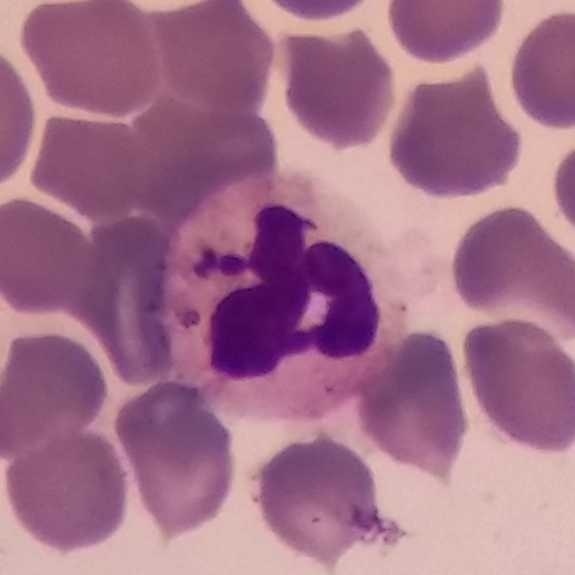
Showing a neutrophilic granulocyte.

Peripheral blood film.